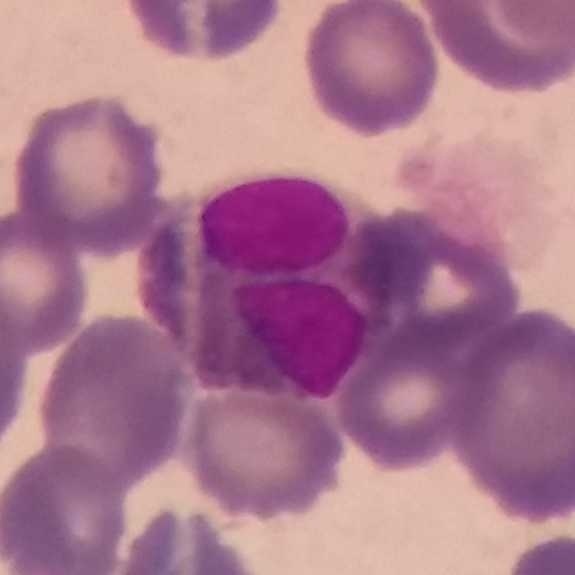 Specimen: peripheral blood film.
Cell type: eosinophilic granulocyte.